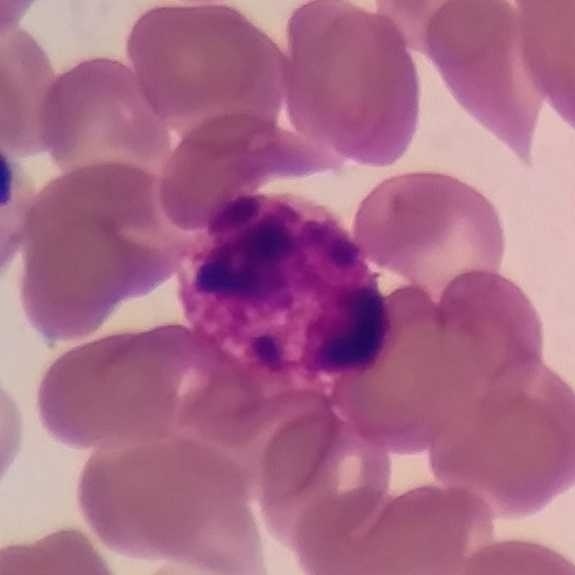
Peripheral blood film · image size 575×575 · cropped to one leukocyte. Classification: neutrophilic granulocyte.